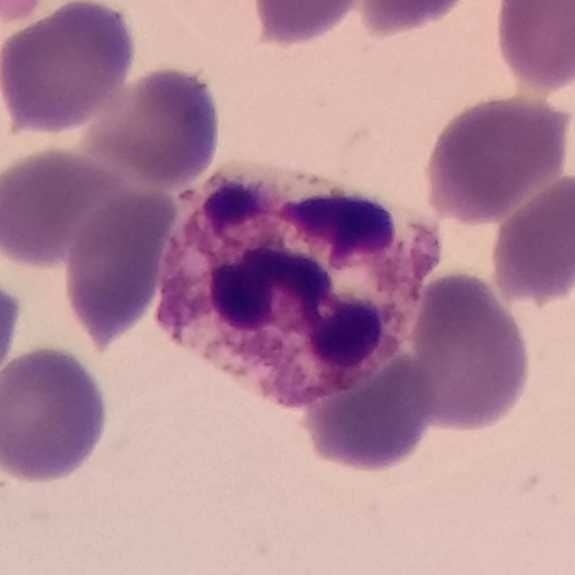
Identified as a neutrophilic granulocyte. Peripheral blood smear.